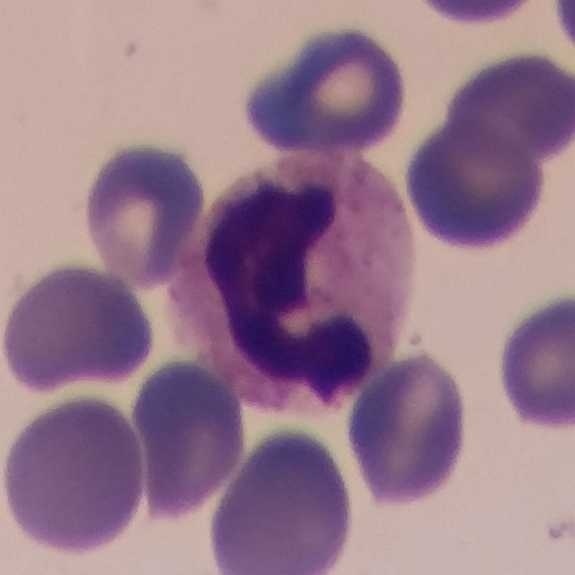

Preparation: 575×575 px. Peripheral blood smear. White blood cell type: neutrophil.